100× magnification; peripheral blood film — 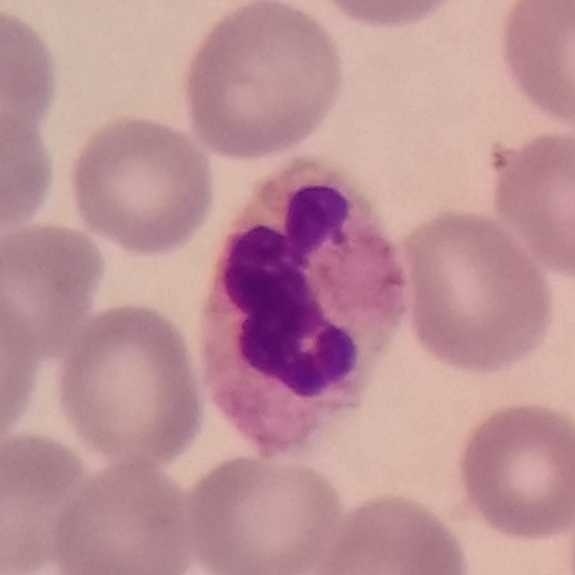

Classification: neutrophil granulocyte.